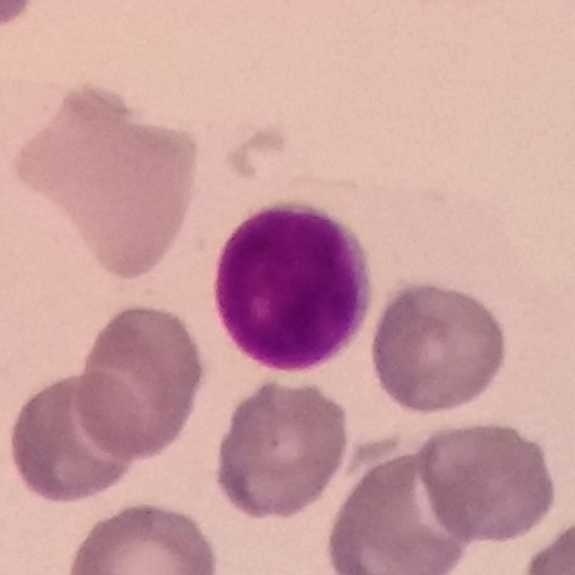
Impression → lymphocyte. Context: Peripheral blood film.